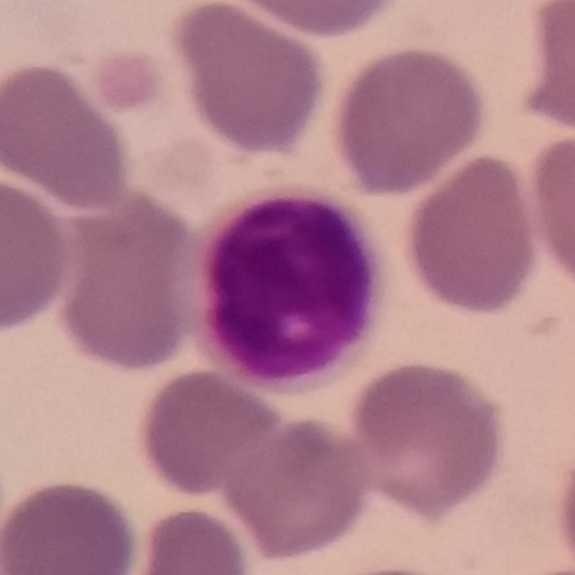 Context: Peripheral blood film. Giemsa-stained.
This is a lymphocyte.